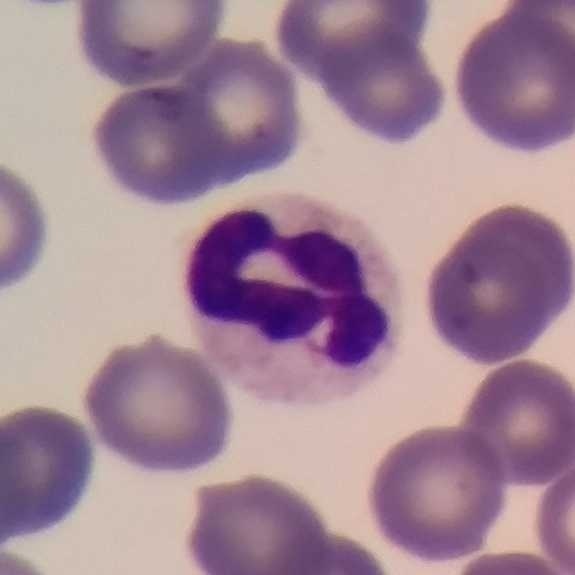 The morphological class is neutrophil.

Acquisition: Peripheral blood smear; stained with Giemsa; 575 by 575 pixels.